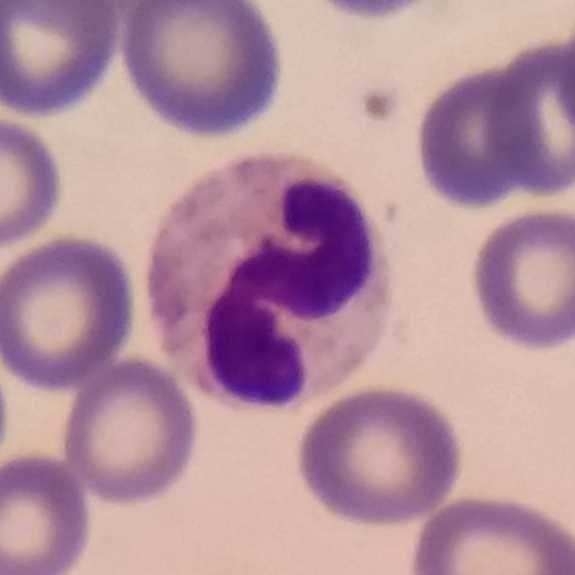
Specimen: peripheral blood film.
White blood cell type: neutrophil.